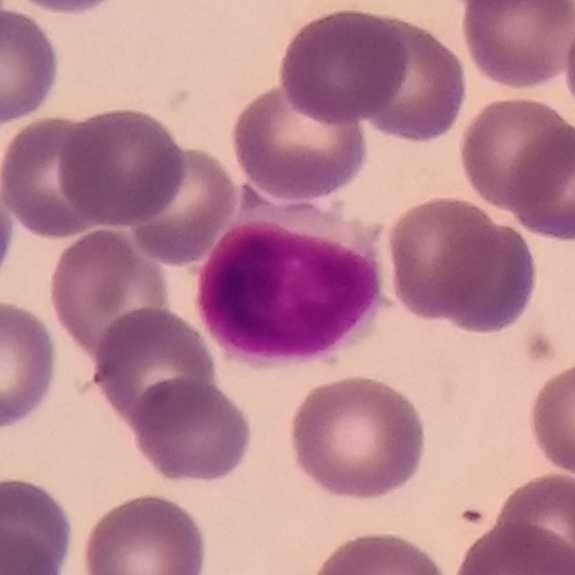

Specimen: peripheral blood smear.
Morphological class: lymphocyte.
Lineage: lymphoid.